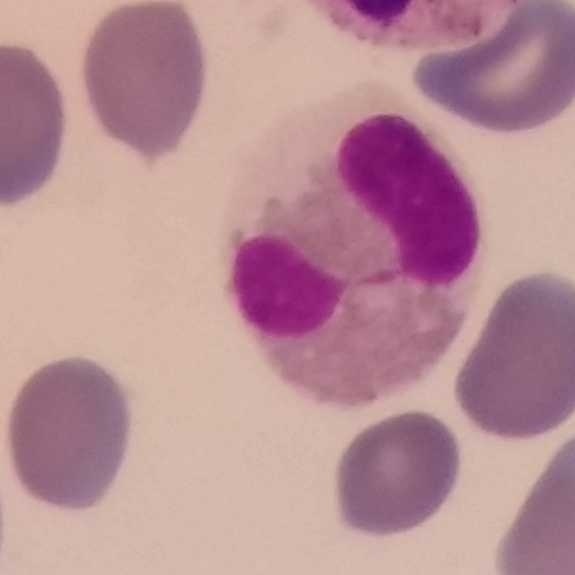
Q: What is shown here?
A: Eosinophilic granulocyte.